Peripheral blood smear: 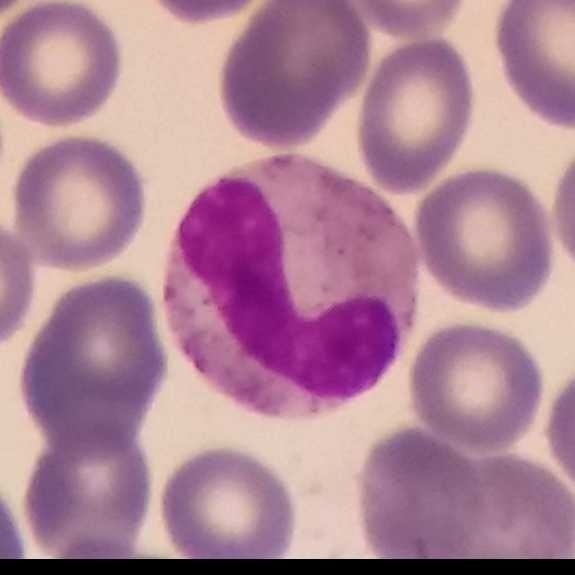 Eosinophilic granulocyte.